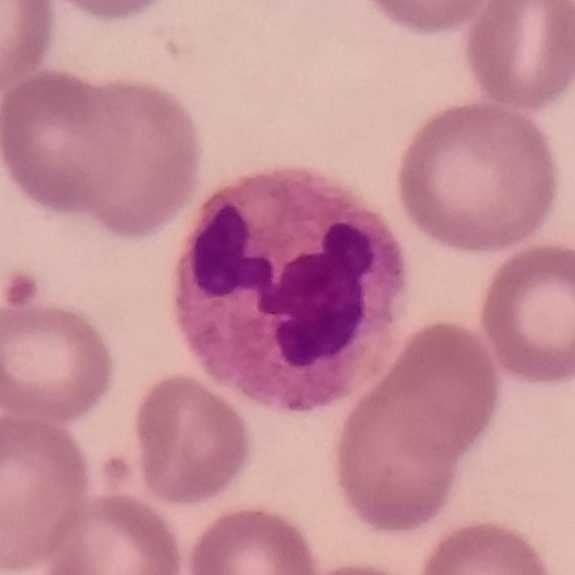

Morphology consistent with a neutrophil.